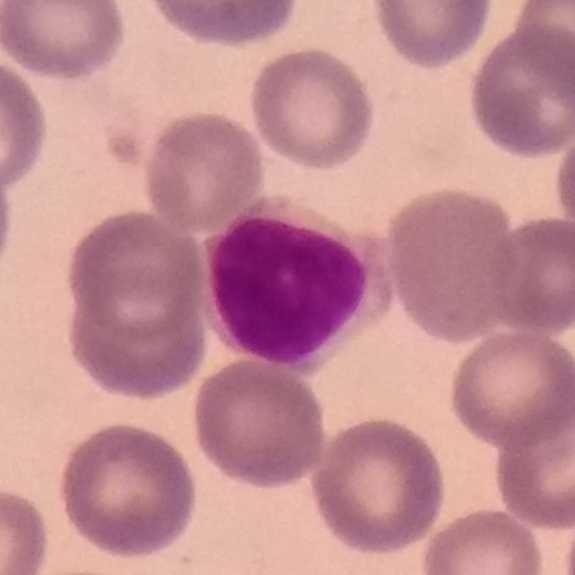
Image: Peripheral blood smear. Smartphone camera mounted on the microscope eyepiece.
Lymphocyte.